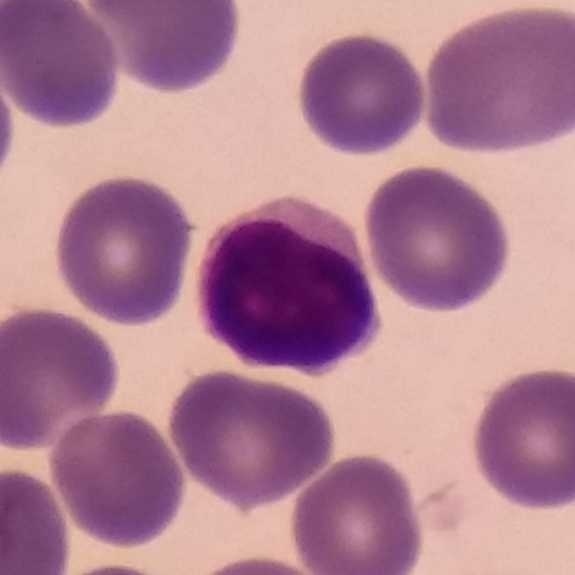 Q: Which type of white blood cell is this?
A: This is a lymphocyte.
Preparation: Single-cell field. Peripheral blood smear. Smartphone camera mounted on the microscope eyepiece.